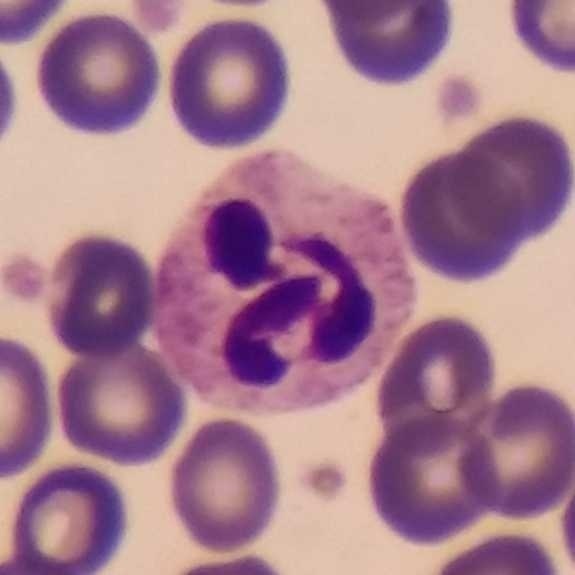
Morphology consistent with a neutrophil granulocyte.

Preparation: Peripheral blood smear.